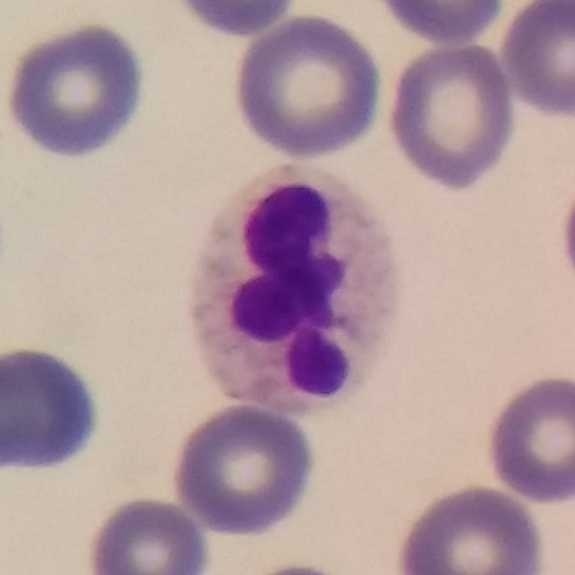 Q: Which cell type is shown here?
A: A neutrophil. Context: Peripheral blood smear · cropped to one leukocyte.